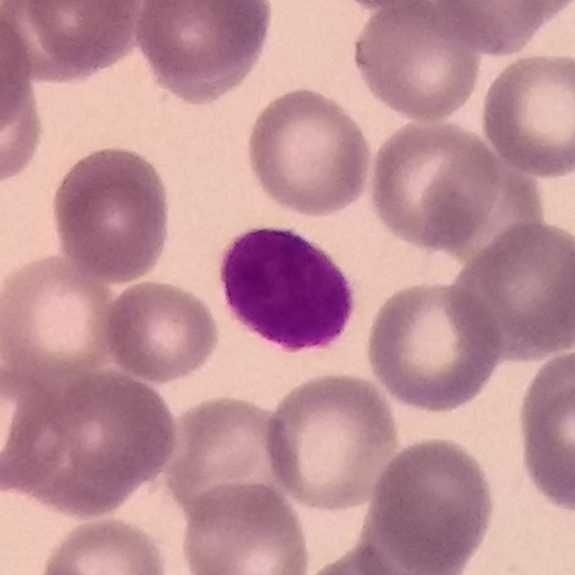
Morphology → lymphocyte.